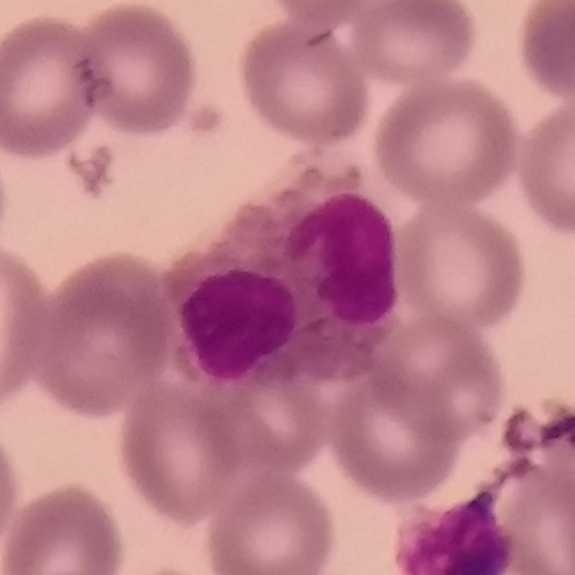

Eosinophil. Cropped to one leukocyte. Magnification 100×. Peripheral blood smear.